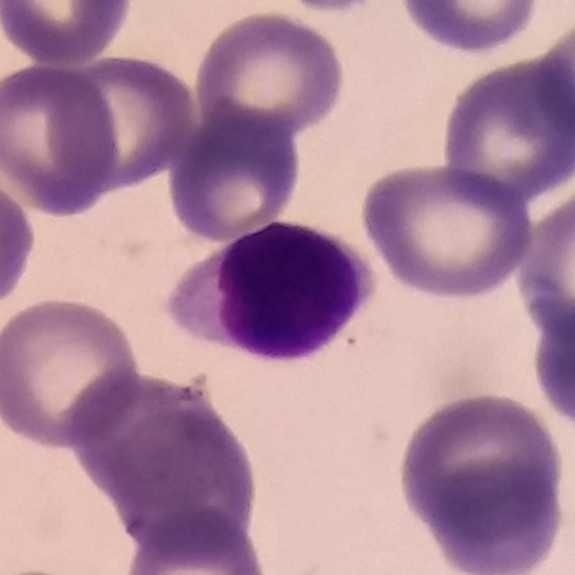
Cell type — lymphocyte. Preparation: Photographed through a light microscope with a smartphone camera · peripheral blood smear.